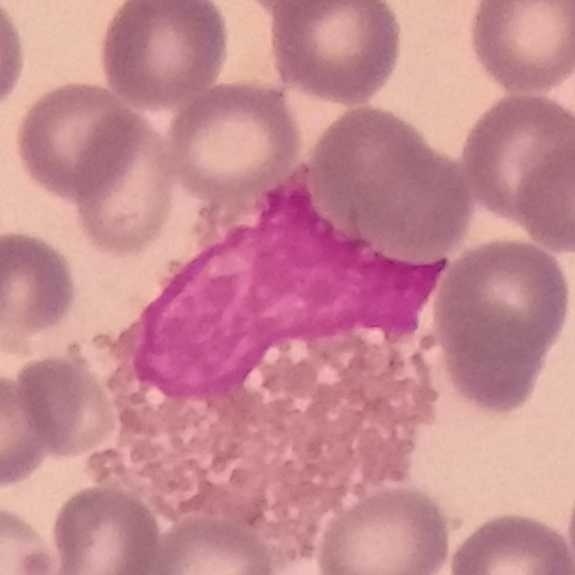 Single cell identified as an eosinophil. Acquisition: Peripheral blood film · single white blood cell cropped from the smear photograph · Giemsa-stained.